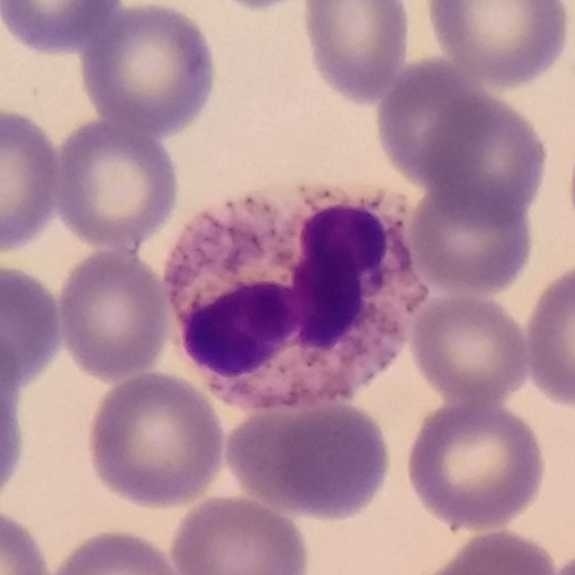

Showing a neutrophil.